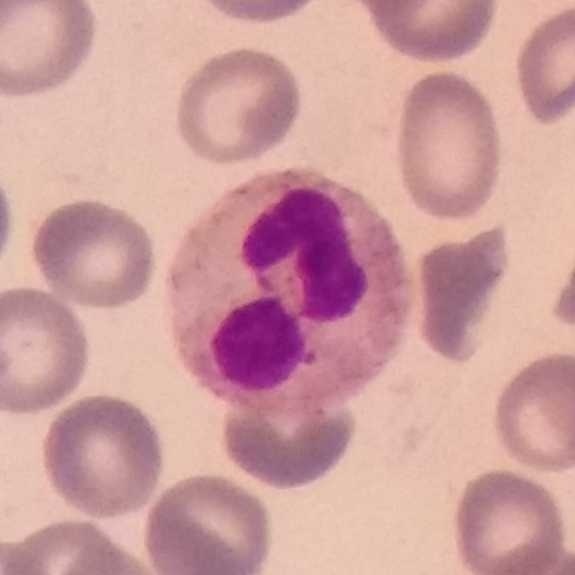
Preparation: Peripheral blood smear; 575×575 px.
White blood cell type = neutrophilic granulocyte.